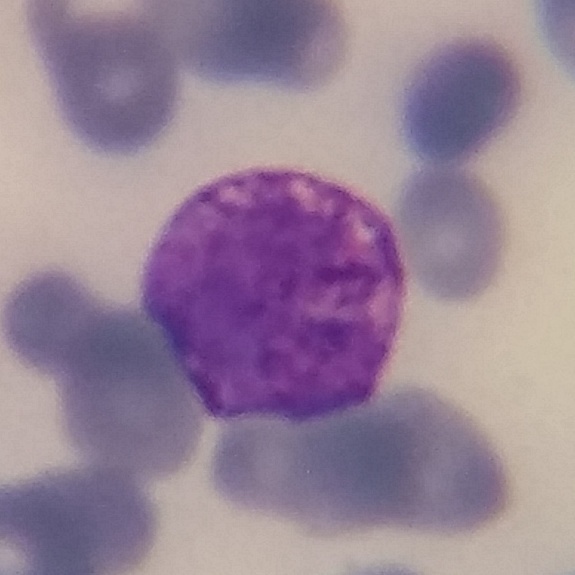 Morphology consistent with a basophil. Acquisition: Peripheral blood film; photographed through a light microscope with a smartphone camera.